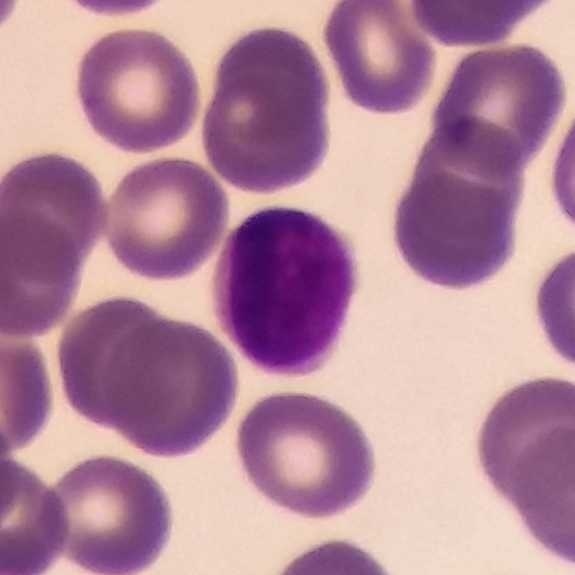
Q: Classify this leukocyte.
A: This is a lymphocyte.